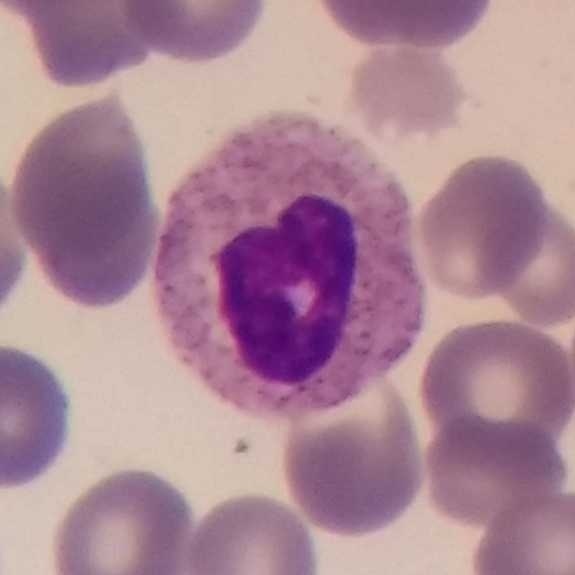This is a neutrophil granulocyte.